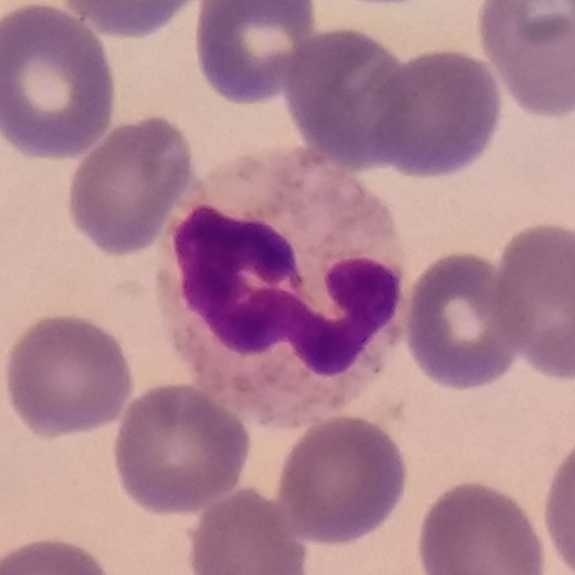
Preparation: Peripheral blood film. Giemsa-stained.
Q: Which type of white blood cell is this?
A: Neutrophil.